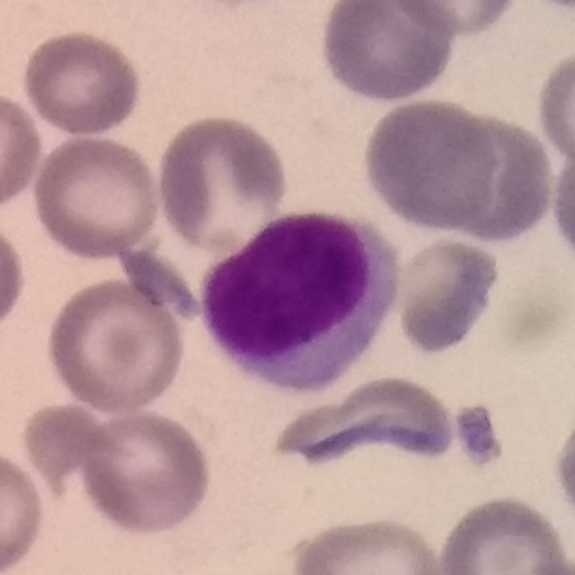

Context: Peripheral blood film; single white blood cell cropped from the smear photograph.

Morphology — lymphocyte.